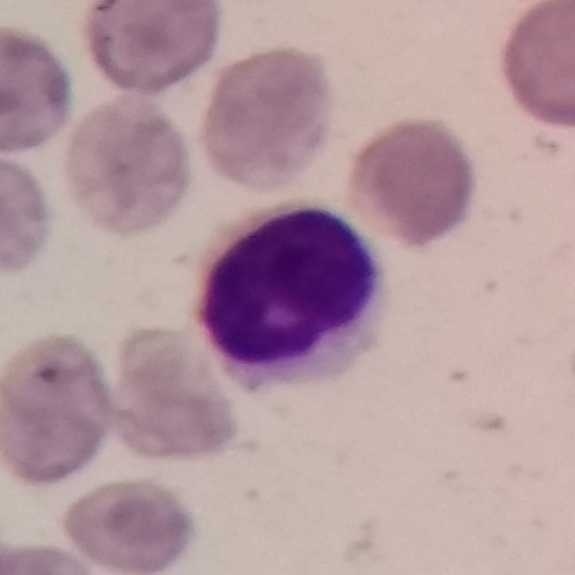
{"cell_type": "lymphocyte"}